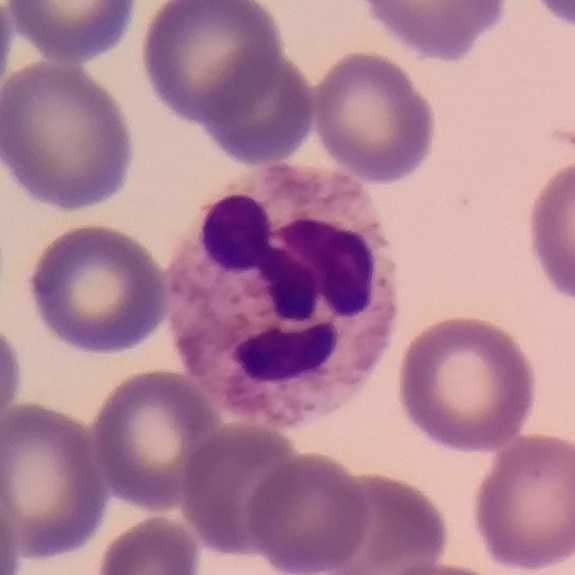

Impression — neutrophil granulocyte.